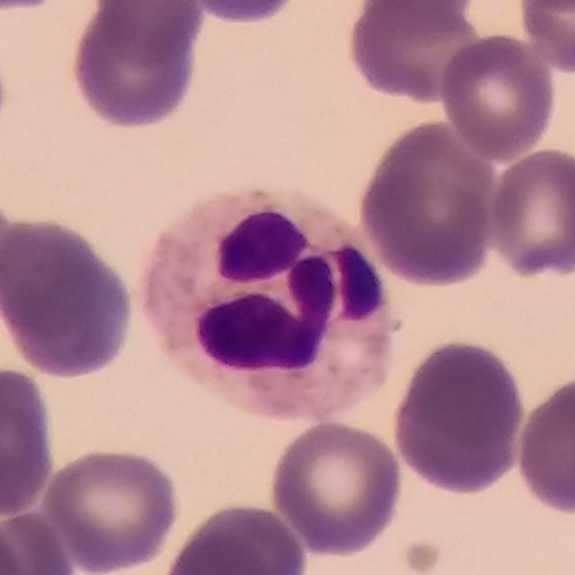
Q: Identify the cell.
A: Neutrophil granulocyte.
Context: Peripheral blood smear.